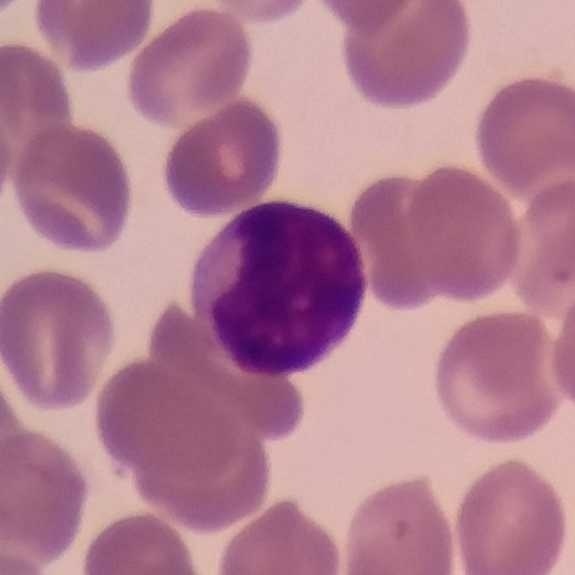 The cell shown is a lymphocyte.